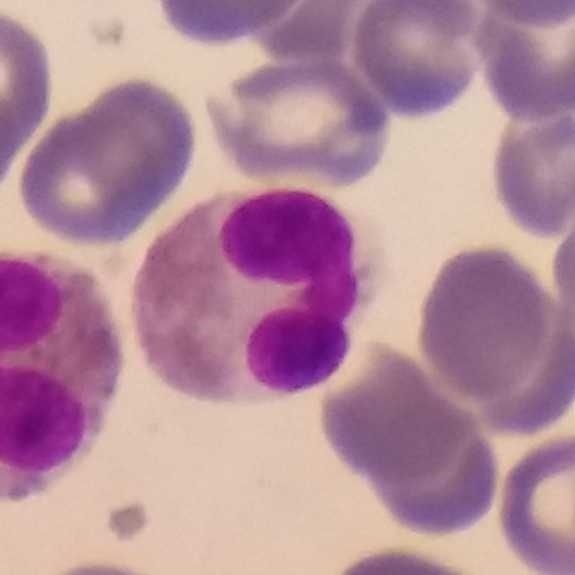 The white blood cell type is eosinophilic granulocyte.